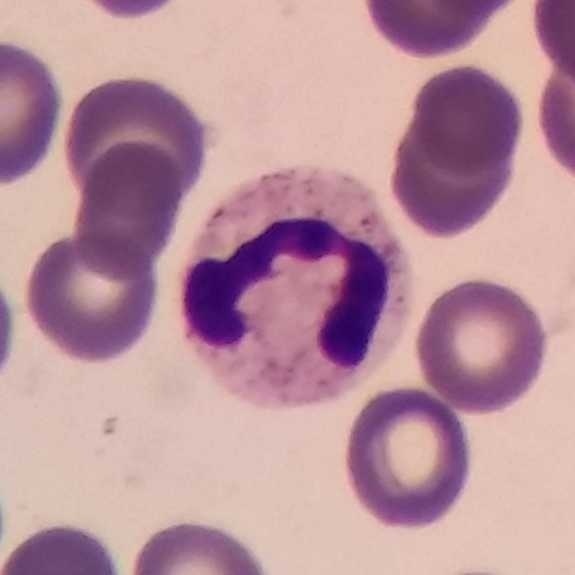
Morphology — neutrophilic granulocyte.
Phone-camera image taken through the microscope ocular. Peripheral blood film.